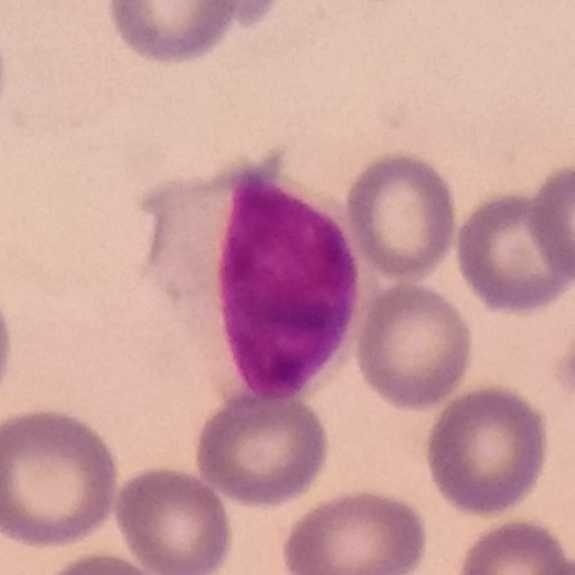

White blood cell from a peripheral blood smear: lymphocyte.